Peripheral blood smear:
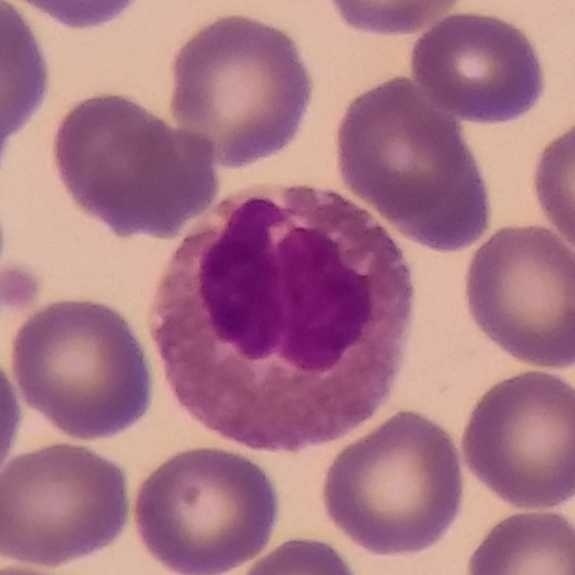
Q: Which type of white blood cell is this?
A: Eosinophilic granulocyte.